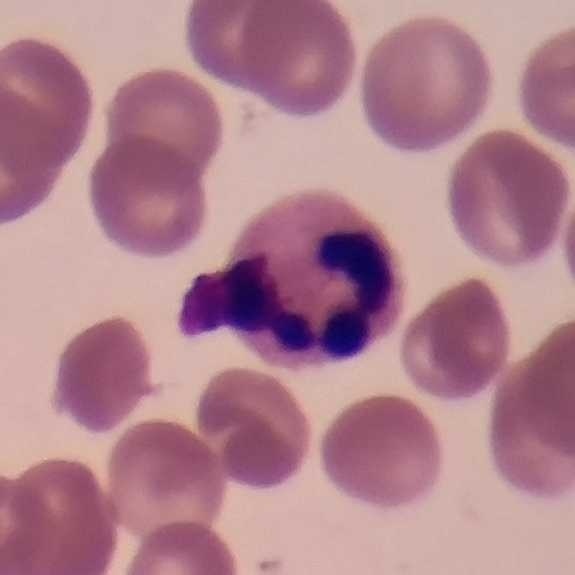Cell = neutrophil granulocyte.